Peripheral blood smear — 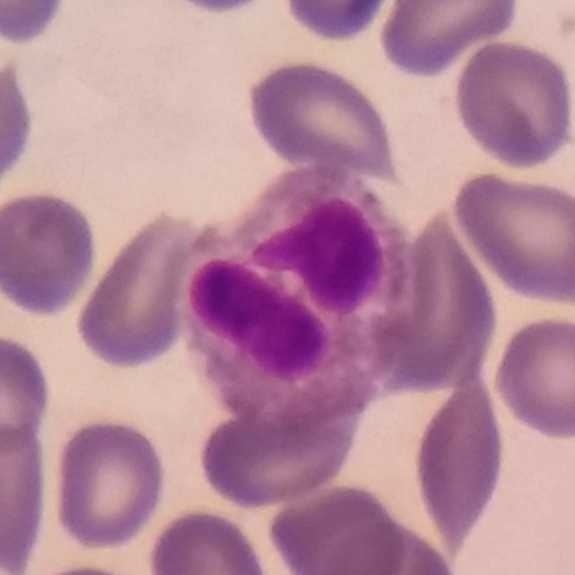The cell shown is an eosinophil.